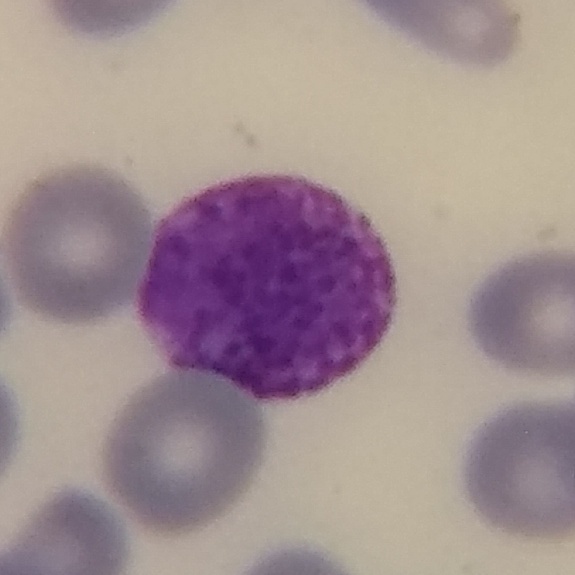

Specimen: peripheral blood film.
White blood cell type: basophil.